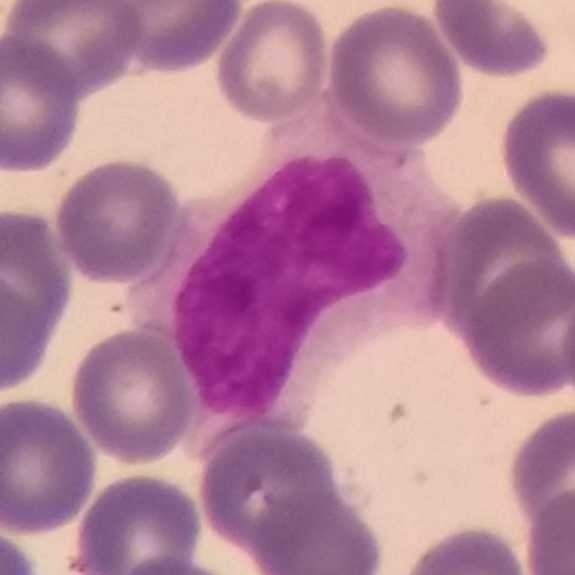

Acquisition: Photographed through a light microscope with a smartphone camera. Peripheral blood film.

Morphological class = monocyte.